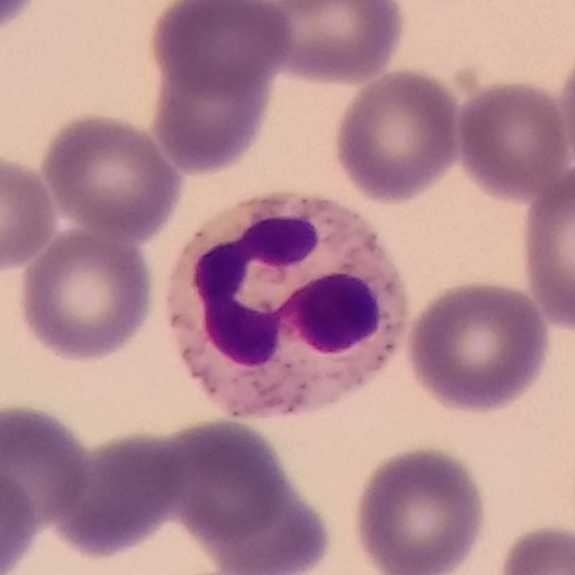 Morphological class: neutrophilic granulocyte.